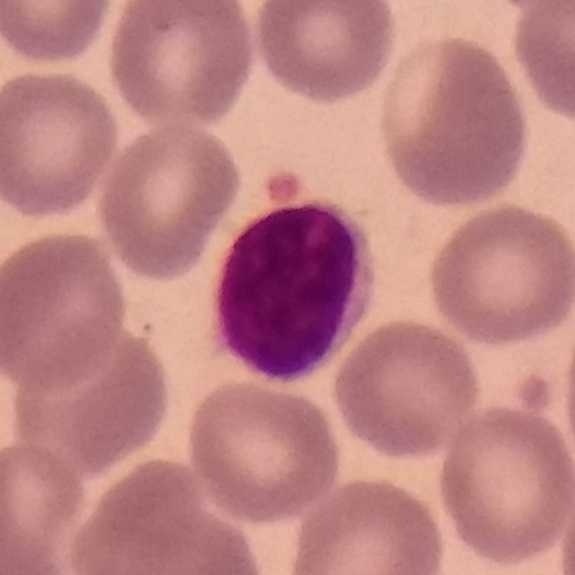 The cell shown is a lymphocyte.
Context: Single-cell crop · 100× magnification · peripheral blood smear.